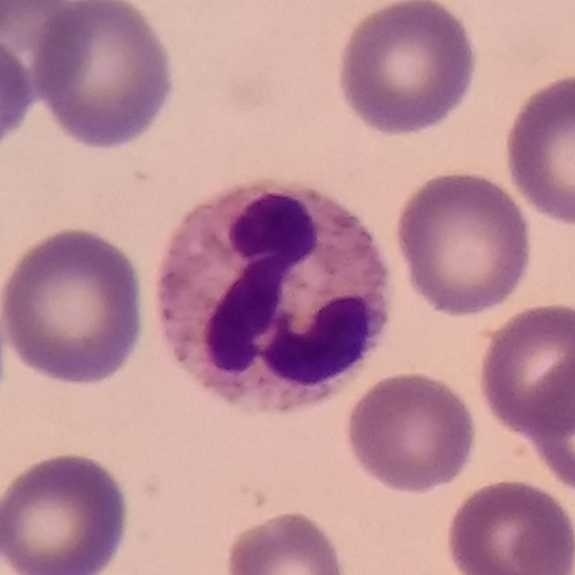 Specimen: peripheral blood smear.
Morphological class: neutrophilic granulocyte.
Lineage: myeloid.